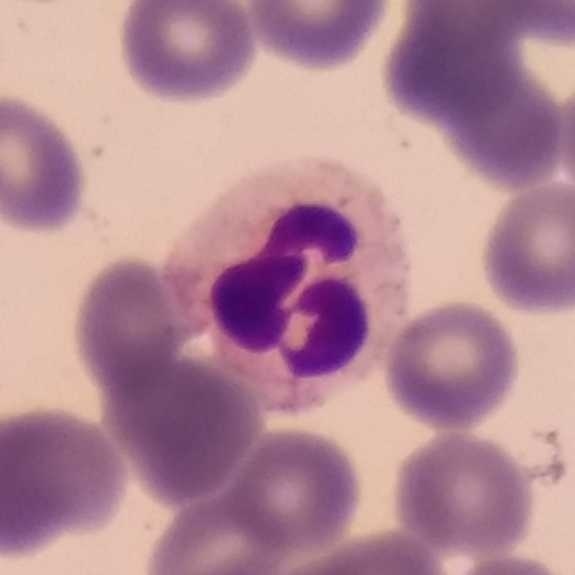 A neutrophil.